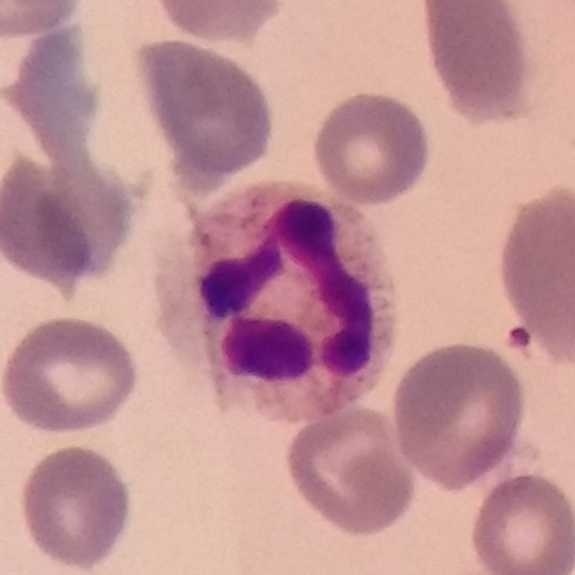

Acquisition: Photographed through a light microscope with a smartphone camera.
Specimen: peripheral blood film.
Morphological class: neutrophilic granulocyte.
Lineage: myeloid.